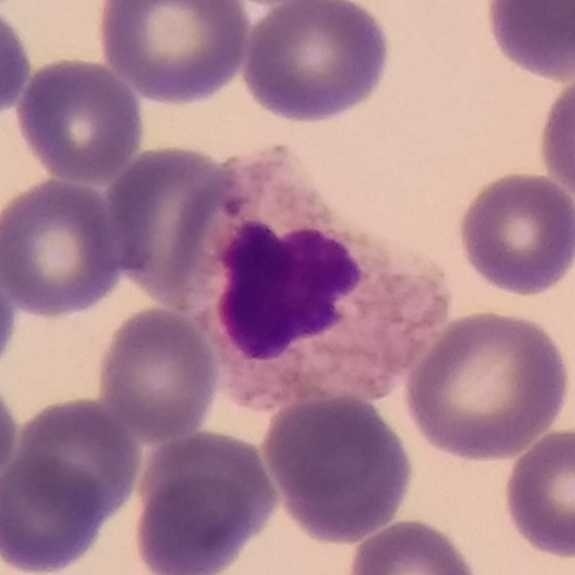
The white blood cell in this image is a neutrophil.

Context: Peripheral blood smear.